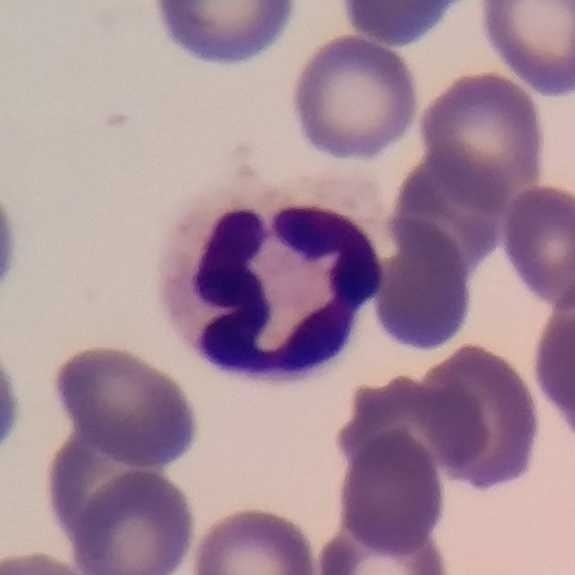 Showing a neutrophil granulocyte.

Preparation: Peripheral blood smear. 575×575 px.